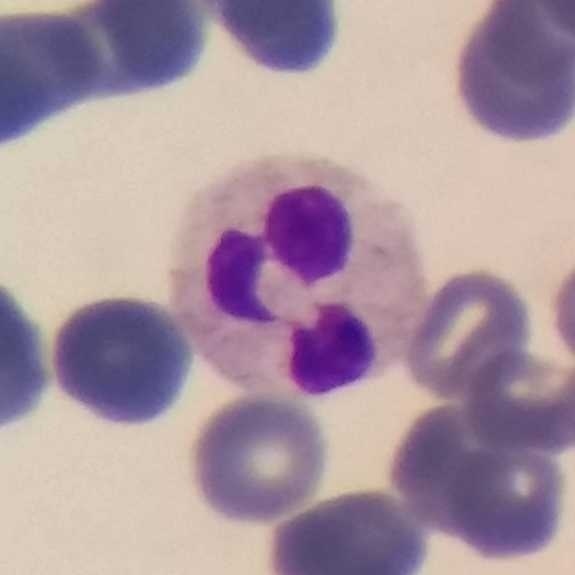From a peripheral blood smear: a neutrophil.